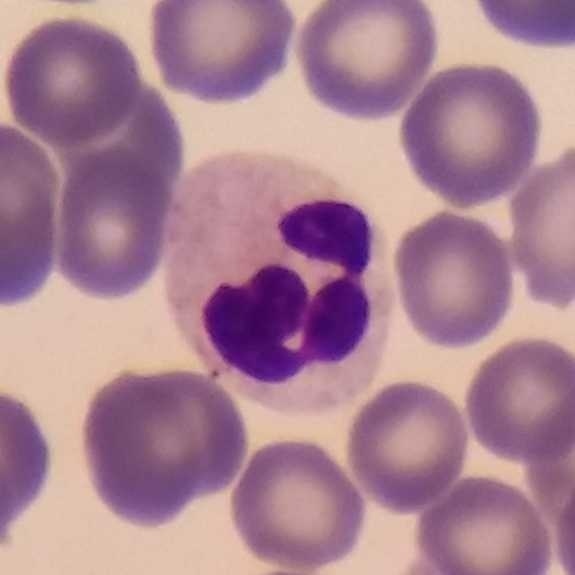 A neutrophil.